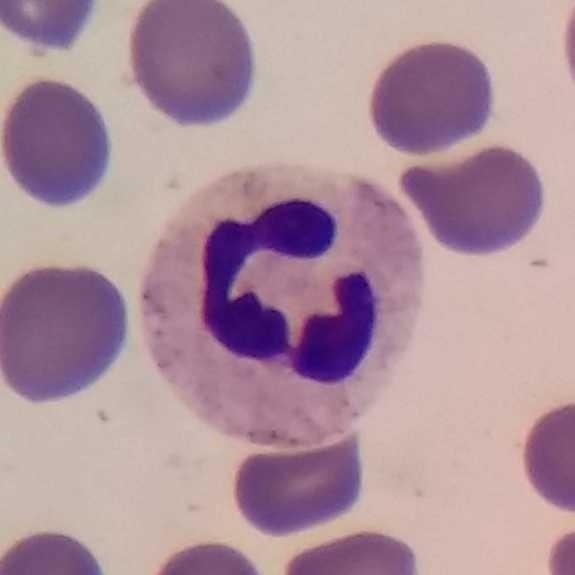

Neutrophil granulocyte.